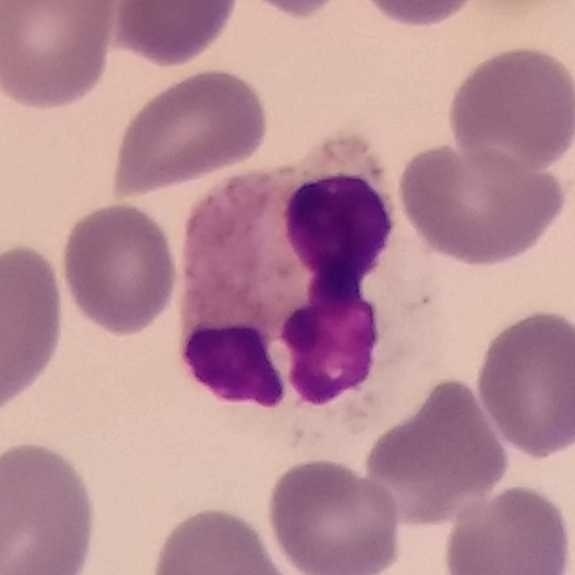

Showing a neutrophilic granulocyte.